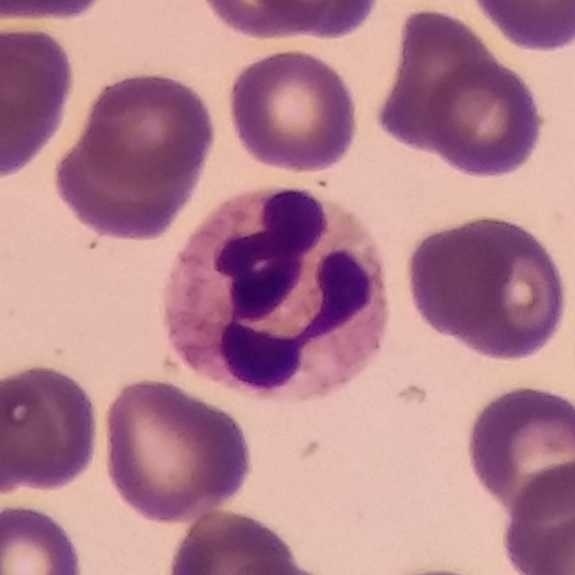Specimen: peripheral blood film.
White blood cell type: neutrophil granulocyte.
Lineage: myeloid.